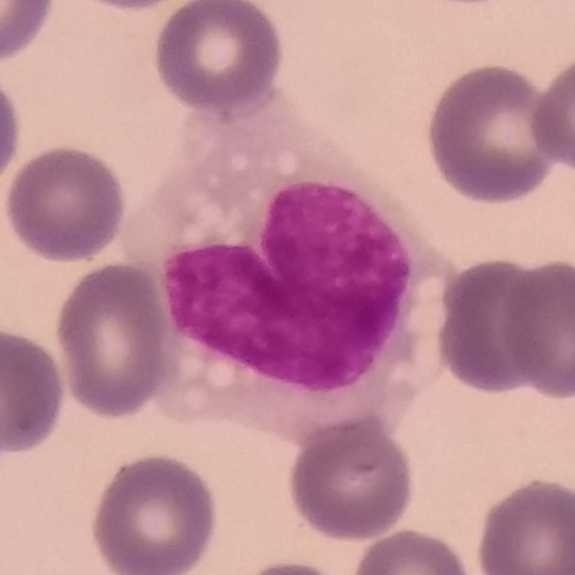

The white blood cell type is monocyte. Image: Photographed through a light microscope with a smartphone camera; peripheral blood film; 100× magnification.